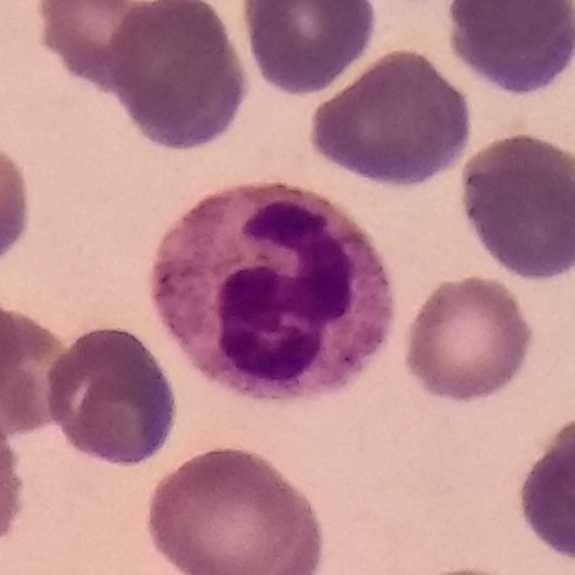 Cell type — neutrophil granulocyte.